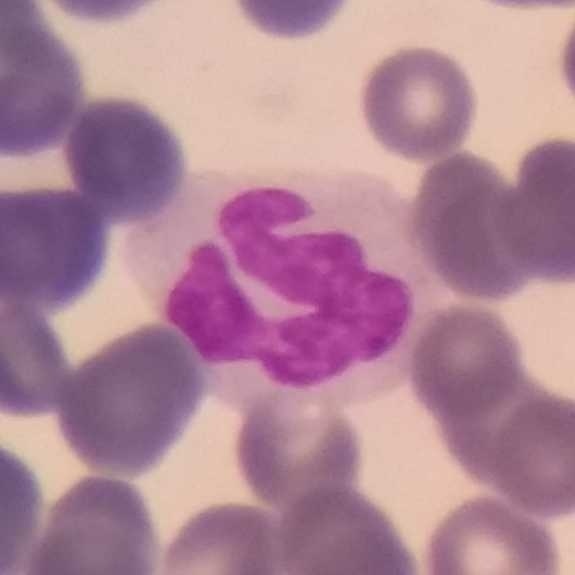Preparation: Smartphone photomicrograph. Single-cell crop. Peripheral blood film. {"cell_type": "monocyte"}